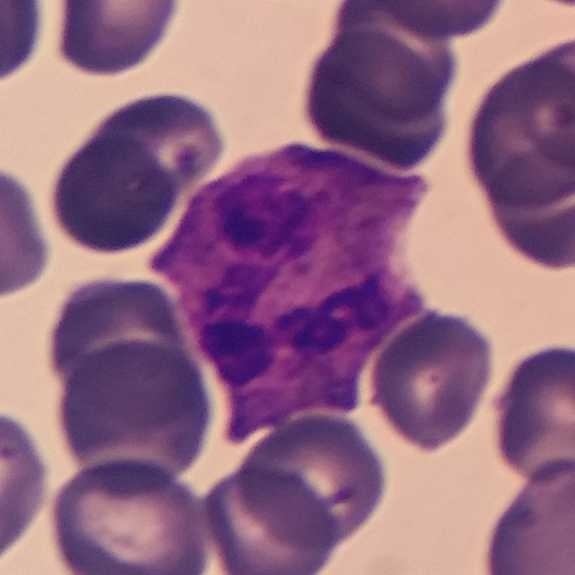Classification = neutrophil granulocyte.

Preparation: Peripheral blood film. Smartphone photomicrograph. 575×575 px.